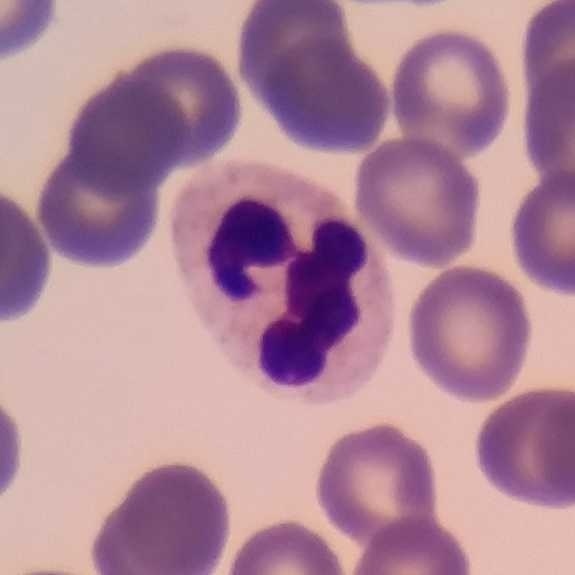

Q: What is shown here?
A: Neutrophilic granulocyte.

Context: Peripheral blood film · 100× magnification.